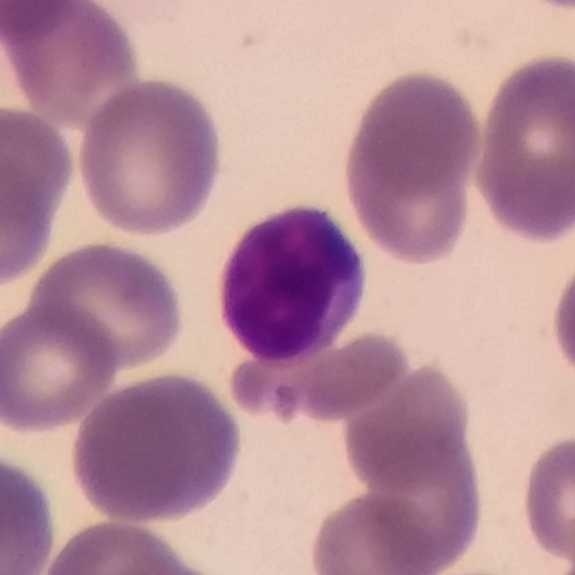 Morphological class: lymphocyte.